100× magnification · peripheral blood smear · phone-camera image taken through the microscope ocular:
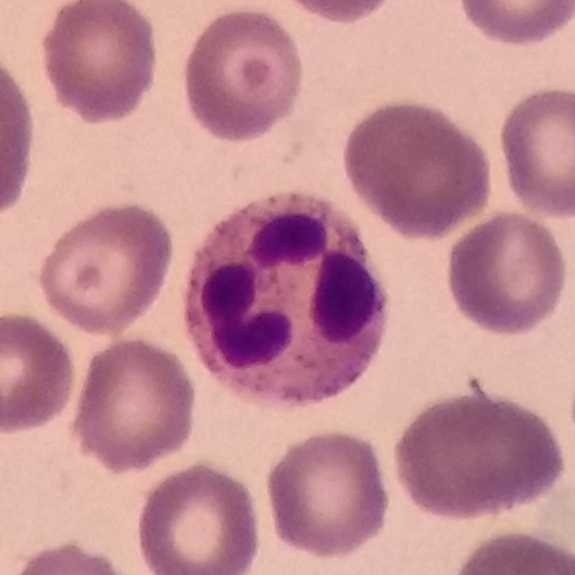

Q: What is the morphological classification of this cell?
A: Neutrophil.